Cropped to one leukocyte; Giemsa-stained; peripheral blood smear:
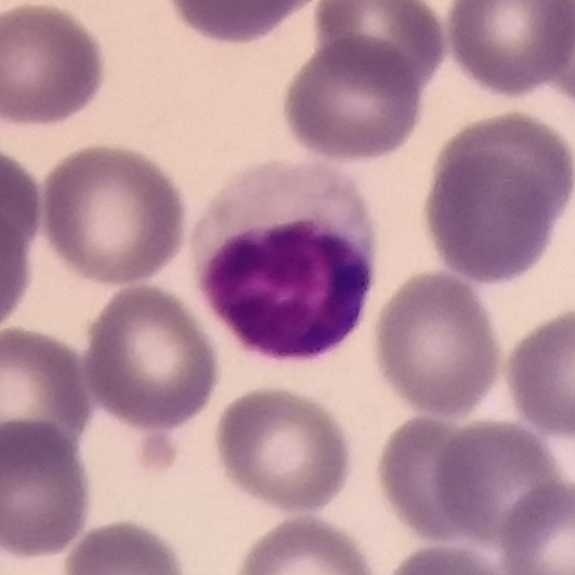
Morphological class: lymphocyte.